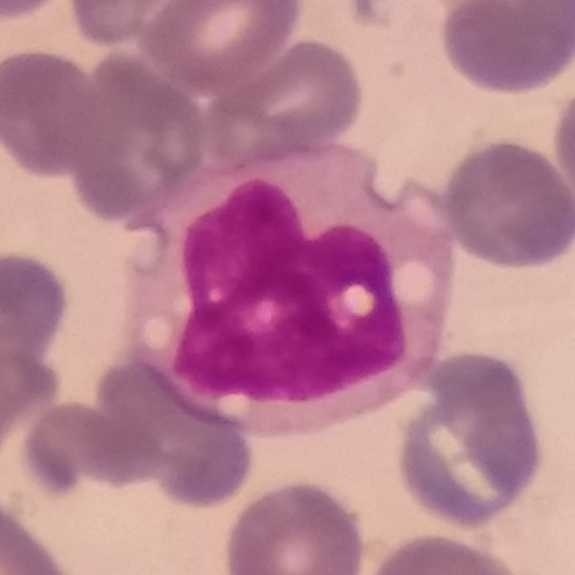 Q: What cell is this?
A: It is a monocyte.